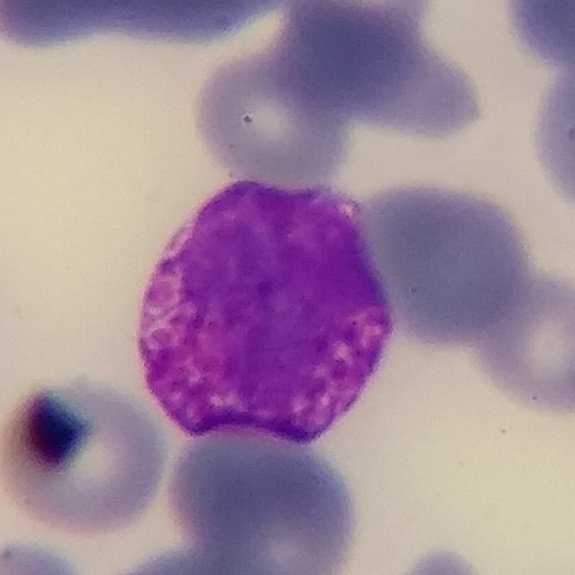

Preparation: Peripheral blood film; imaged at 100×; Giemsa stain.
Morphology consistent with a basophilic granulocyte.